575×575 px · stained with Giemsa · peripheral blood smear — 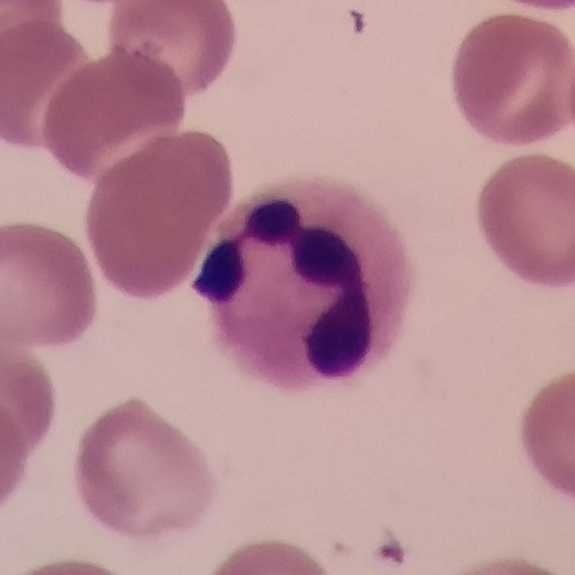
This is a neutrophil.